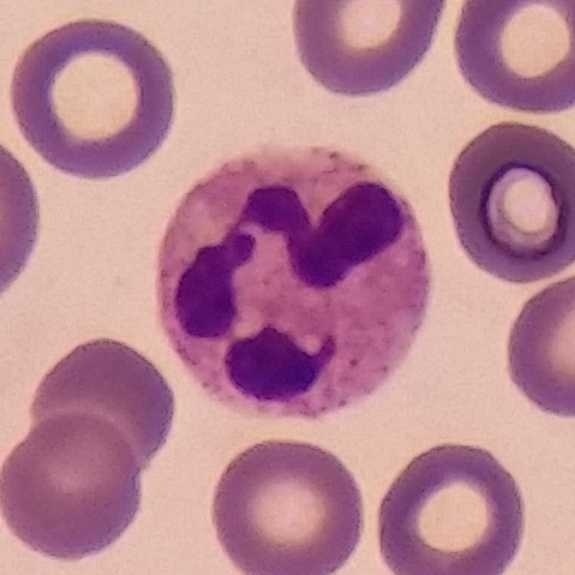Q: Which cell type is shown here?
A: It is a neutrophil.